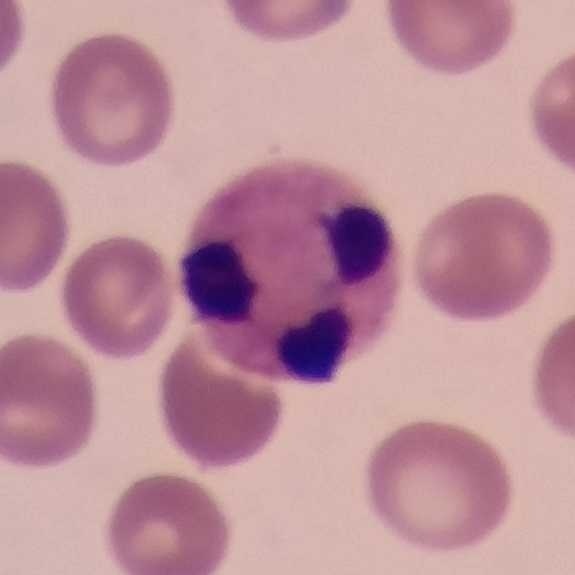

Classification = neutrophil granulocyte.

Preparation: Giemsa-stained; 575 by 575 pixels; peripheral blood smear.